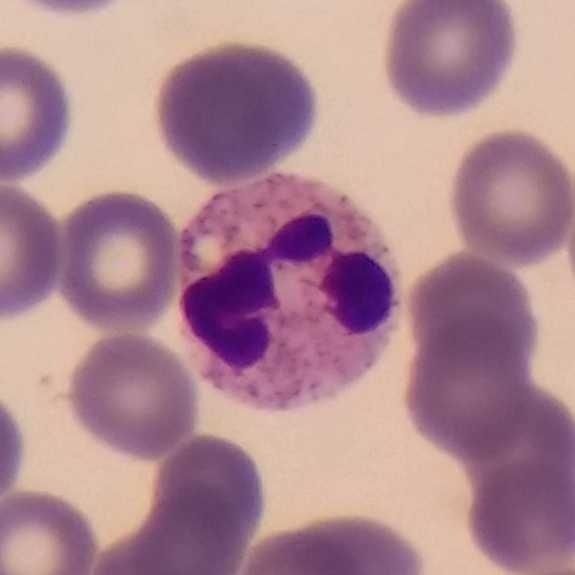Classification = neutrophil granulocyte.